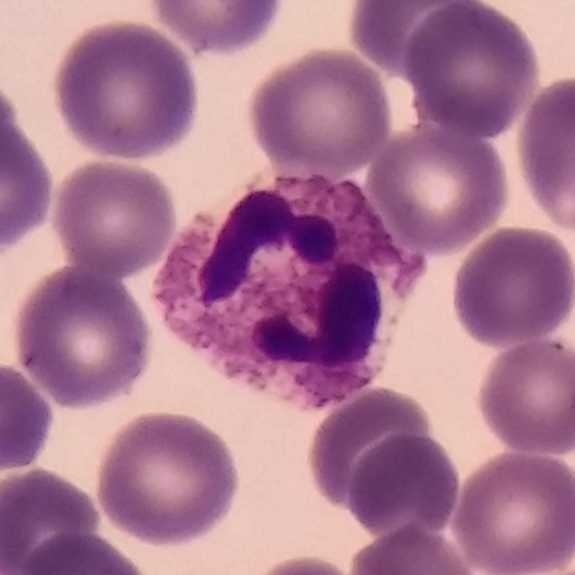

{"cell_type": "neutrophilic granulocyte", "lineage": "myeloid"}